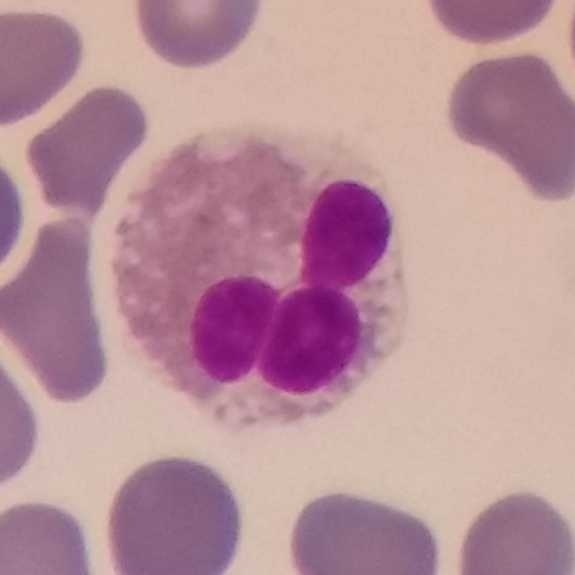 Cell: eosinophil.

Image: Peripheral blood film.